Single white blood cell cropped from the smear photograph · magnification 100× · peripheral blood smear
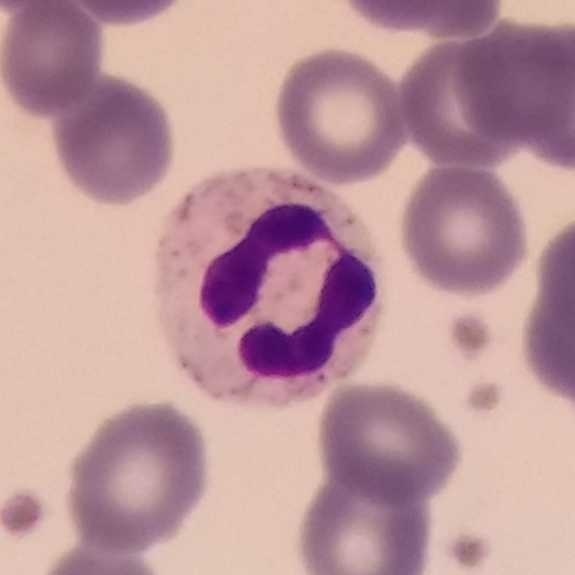
The white blood cell type is neutrophil granulocyte.